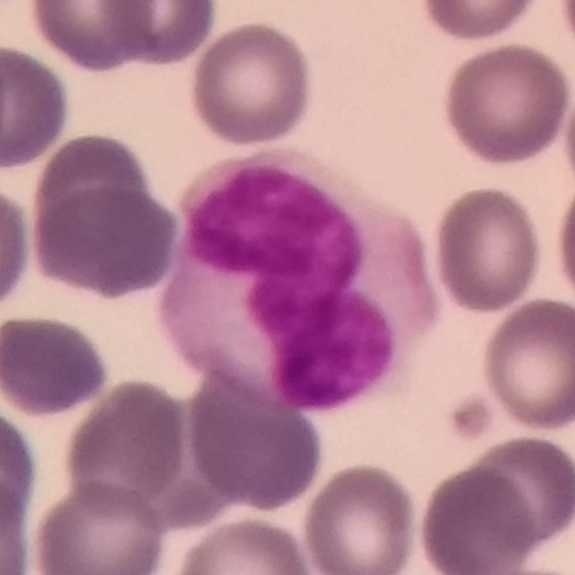 Preparation: Peripheral blood film.

Q: What is the morphological classification of this cell?
A: It is a monocyte.